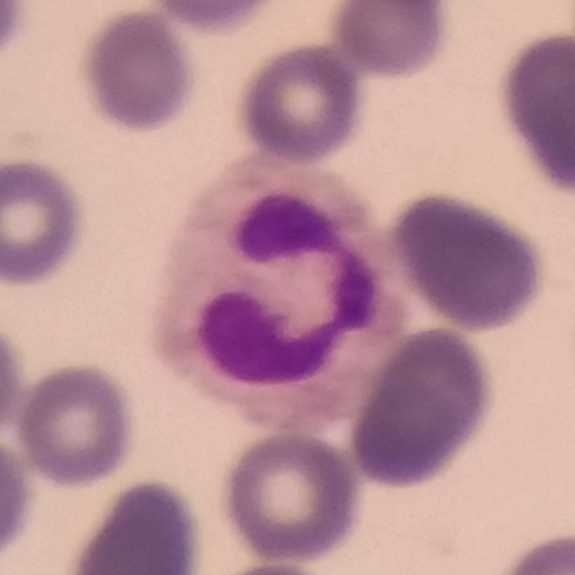 Peripheral blood smear. Cropped to one leukocyte. Imaged at 100×.
The cell shown is a neutrophilic granulocyte.